Peripheral blood film
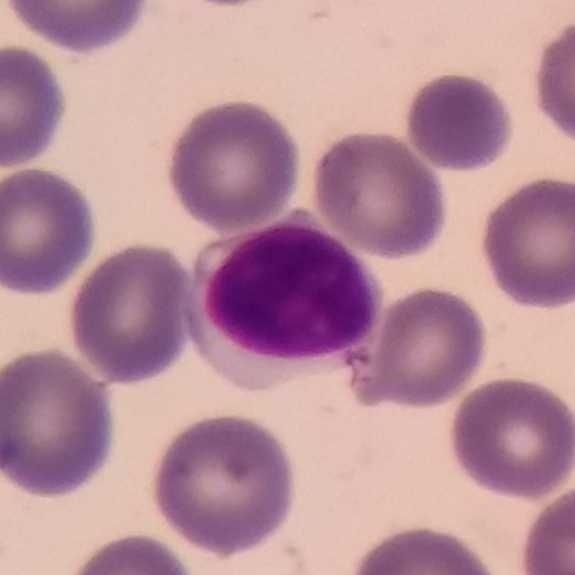

Identified as a lymphocyte.